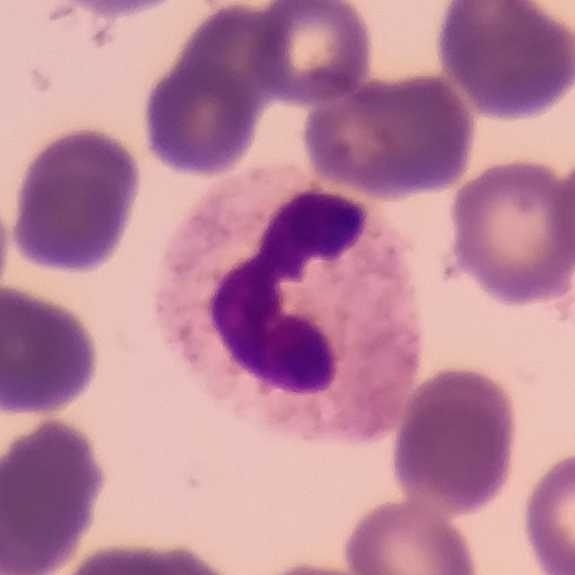

Single cell identified as a neutrophil.
Magnification 100× · peripheral blood film.